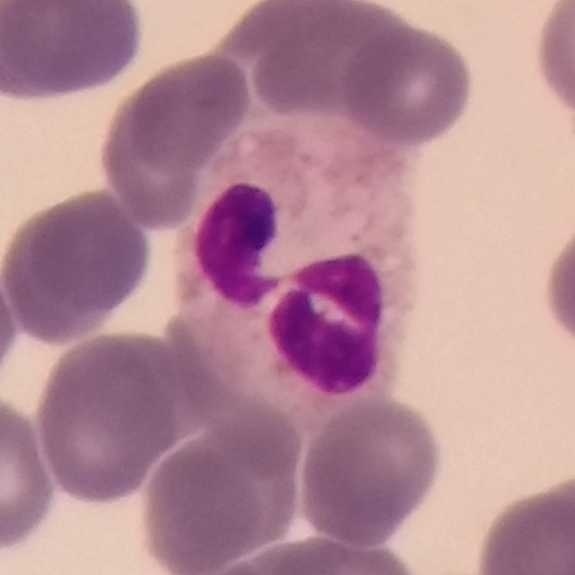

The morphological class is neutrophil granulocyte.

Context: Peripheral blood film.